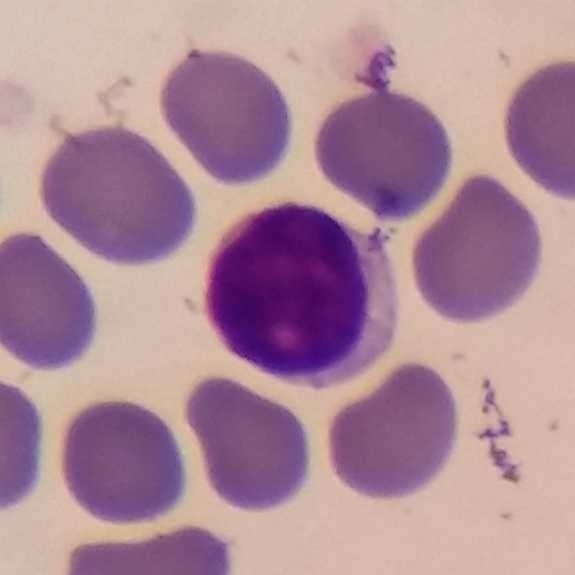 Preparation: Magnification 100×. Peripheral blood film.

White blood cell type: lymphocyte.